Peripheral blood smear: 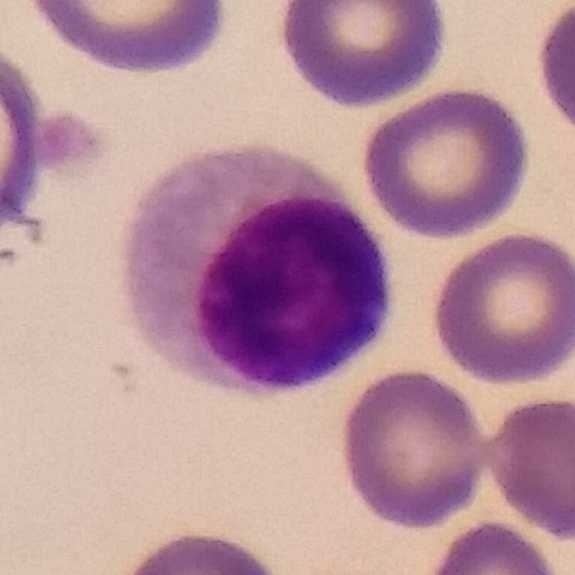

Specimen: peripheral blood film.
Cell: lymphocyte.
Lineage: lymphoid.